575×575; Giemsa stain; peripheral blood smear:
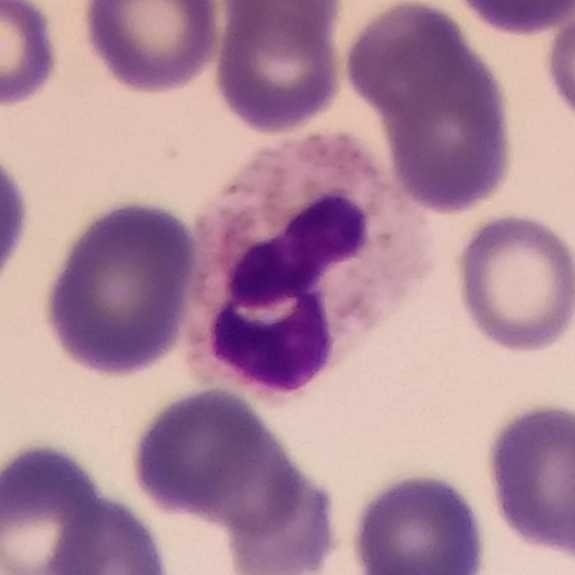The white blood cell type is neutrophil granulocyte.